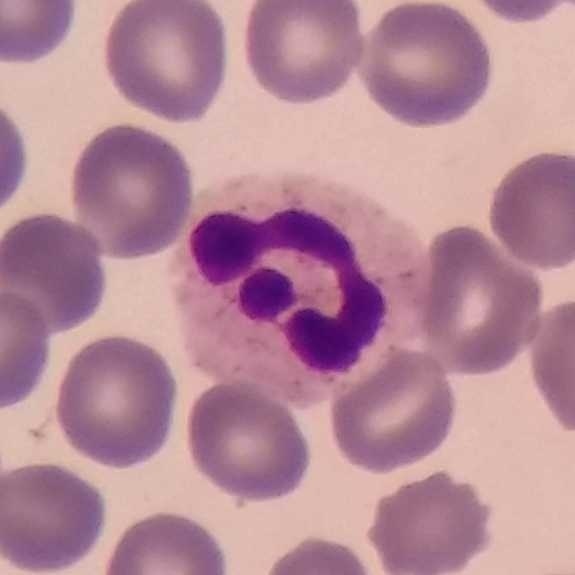

Peripheral blood film. The cell shown is a neutrophil.